Peripheral blood smear
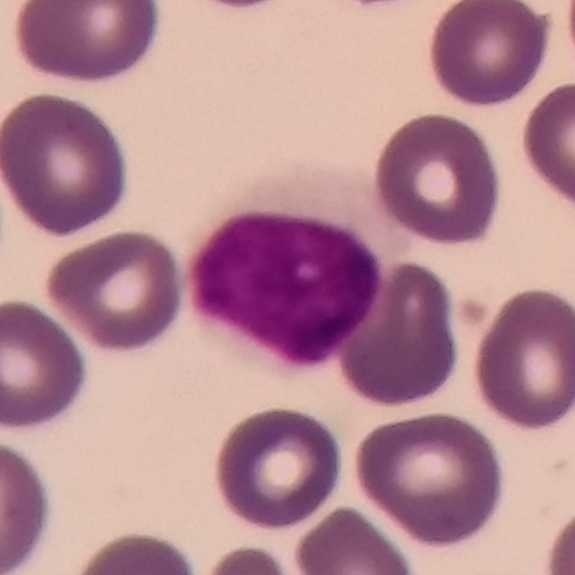Specimen: peripheral blood film.
Cell type: lymphocyte.
Lineage: lymphoid.